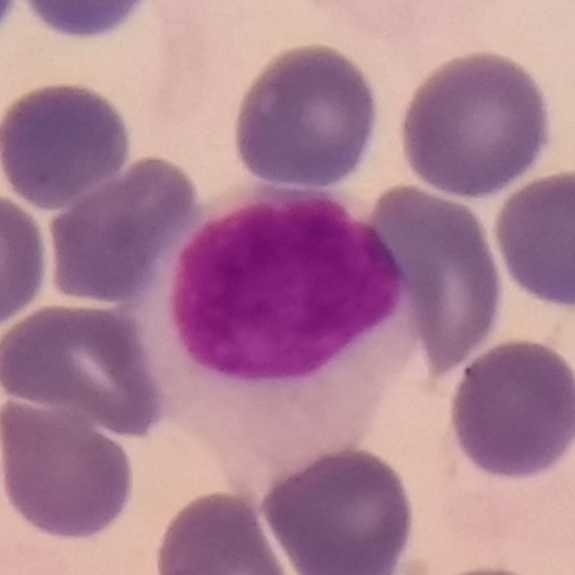

Preparation: Peripheral blood film; 575×575 px.
The cell shown is a monocyte.